Giemsa stain · peripheral blood film · single white blood cell cropped from the smear photograph: 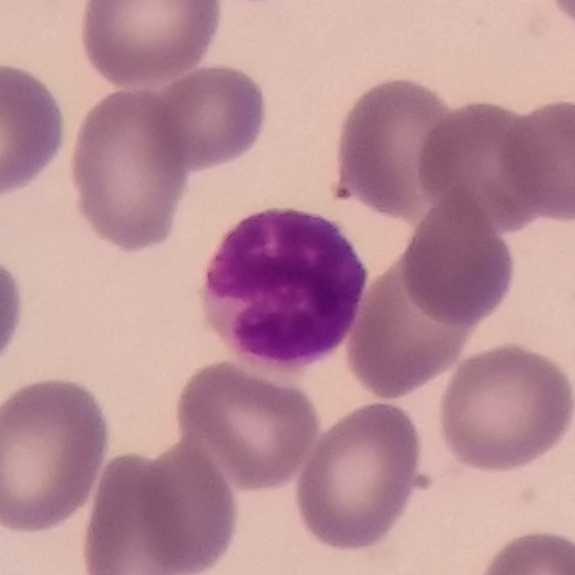

Classification = lymphocyte.